Single-cell field. Peripheral blood film. Smartphone camera mounted on the microscope eyepiece.
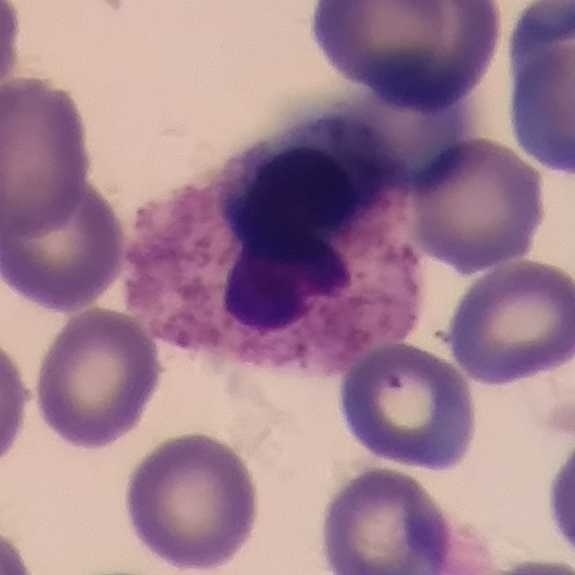 The white blood cell in this image is a neutrophil.